Peripheral blood film: 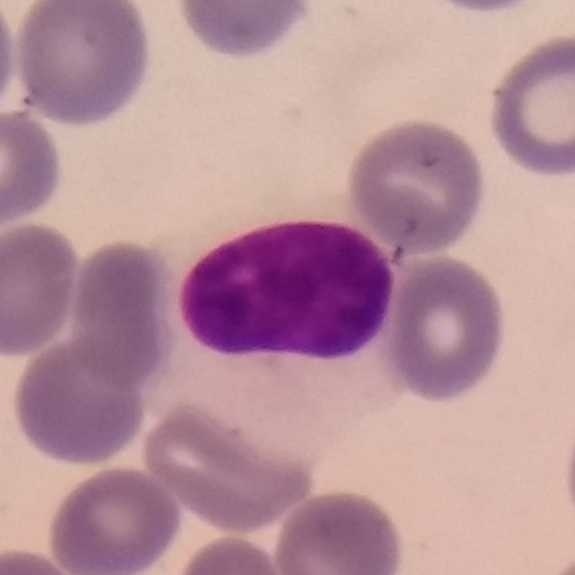
Q: Classify this leukocyte.
A: Lymphocyte.